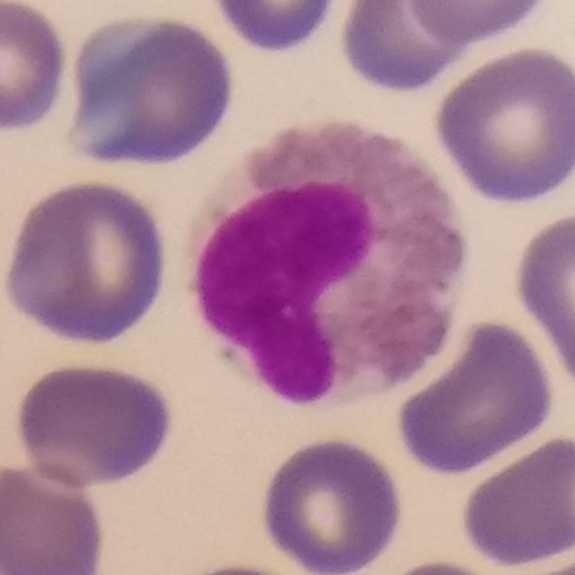
Identified as an eosinophil.

575×575 · peripheral blood film.